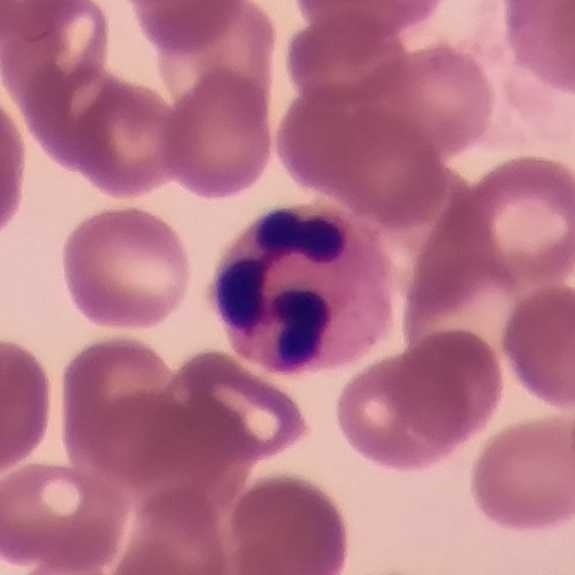

Classification: neutrophil.